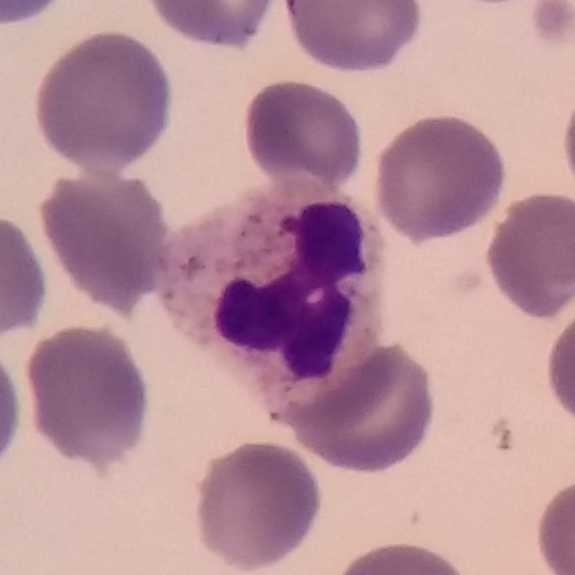

Q: What type of cell is this?
A: A neutrophil.
Acquisition: Peripheral blood film.